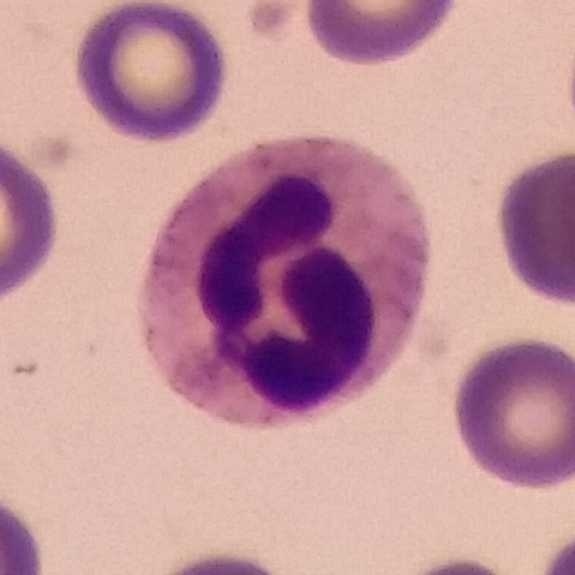Morphology → neutrophil granulocyte.
Preparation: Single white blood cell cropped from the smear photograph · peripheral blood smear.